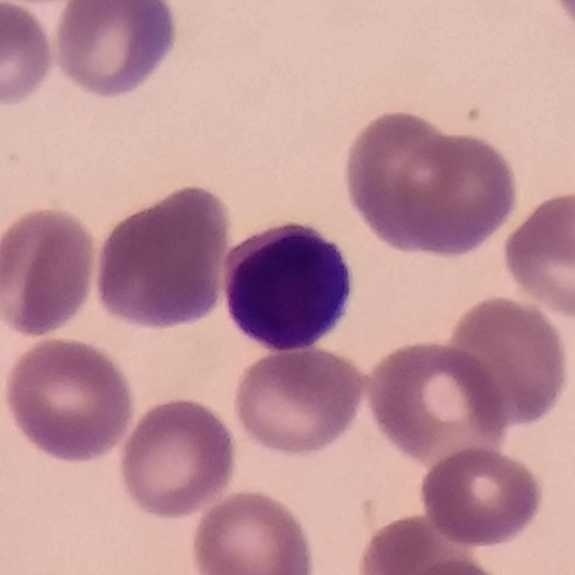Impression — lymphocyte.